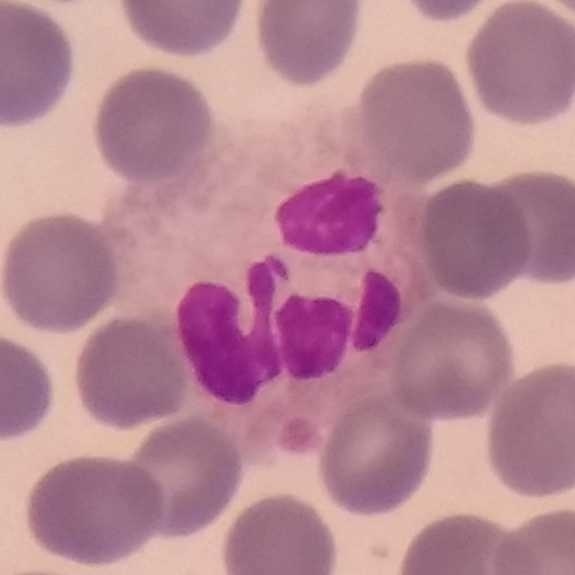 Acquisition: Stained with Giemsa · peripheral blood film.

Single cell identified as a neutrophil granulocyte.